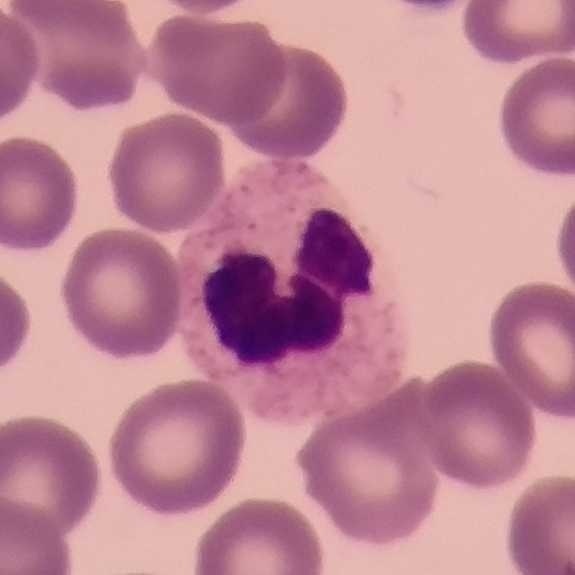
Identified as a neutrophil granulocyte. Preparation: Peripheral blood film.